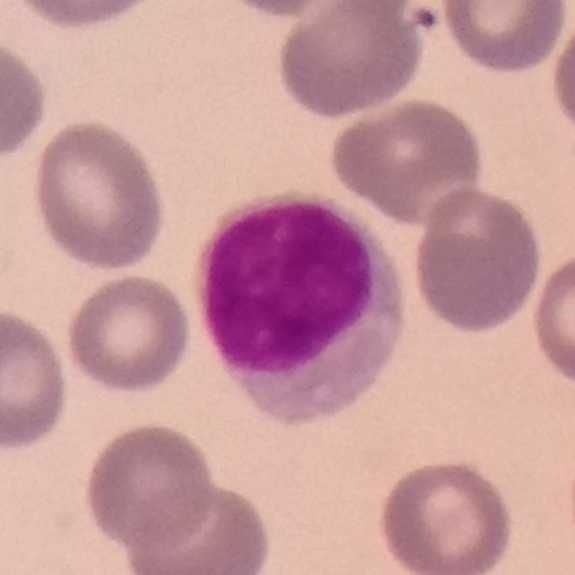

Morphology — lymphocyte.
Phone-camera image taken through the microscope ocular · peripheral blood film.